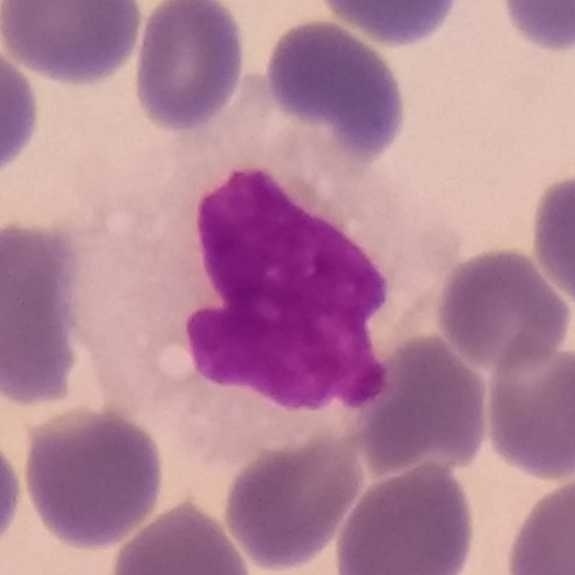

Acquisition: Peripheral blood smear. Single white blood cell cropped from the smear photograph.
Impression — monocyte.